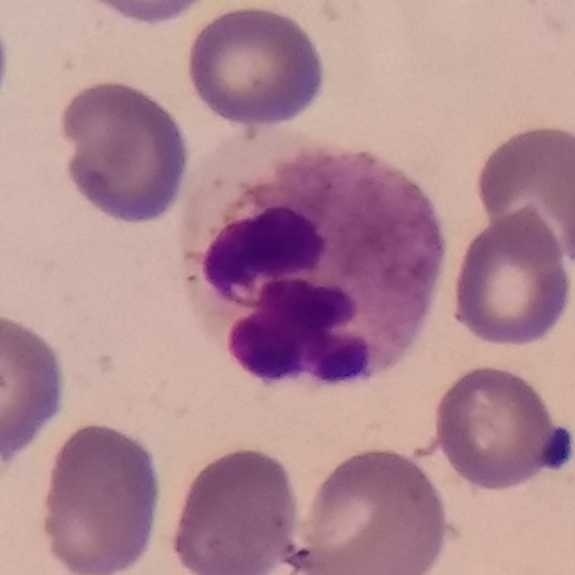

Image: Magnification 100× · peripheral blood smear.

Q: What type of cell is this?
A: A neutrophil.